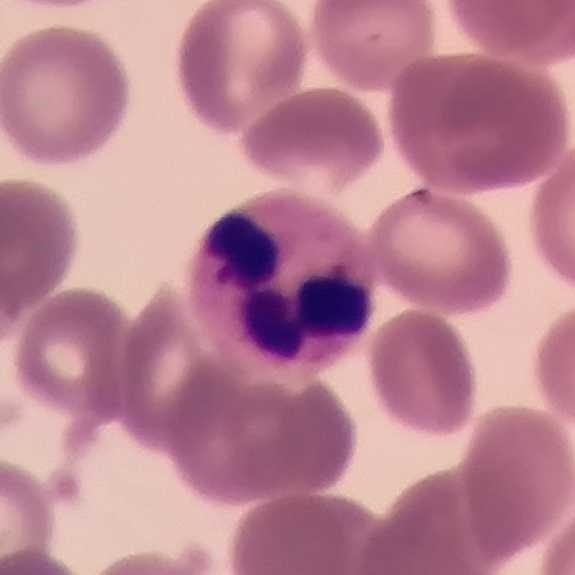 Image: Peripheral blood smear. Morphology consistent with a neutrophil.